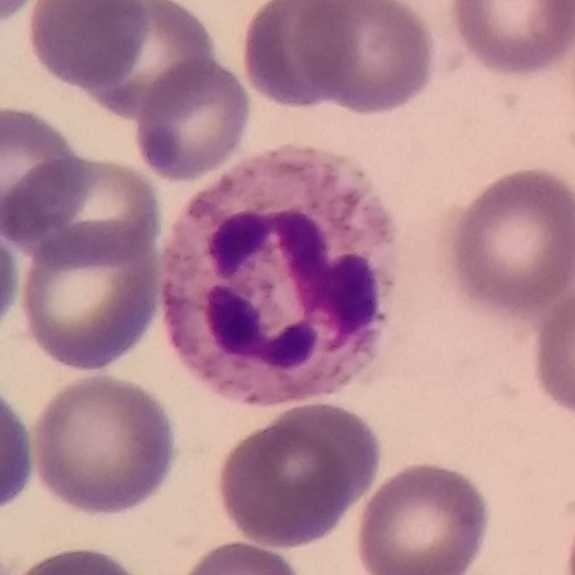
Acquisition: Peripheral blood film. Cell — neutrophilic granulocyte.